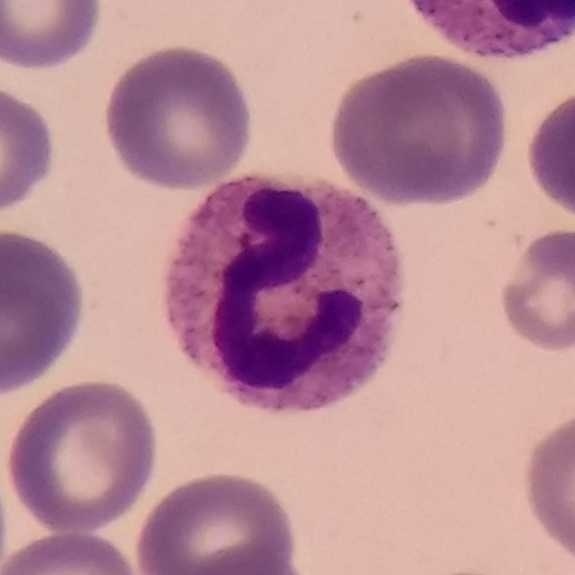
Specimen: peripheral blood film.
Cell: neutrophilic granulocyte.